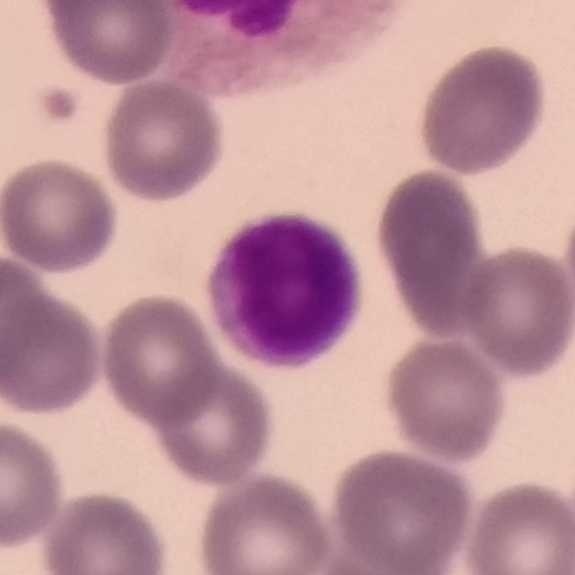

Morphological class — lymphocyte.
Image: Peripheral blood film; stained with Giemsa.